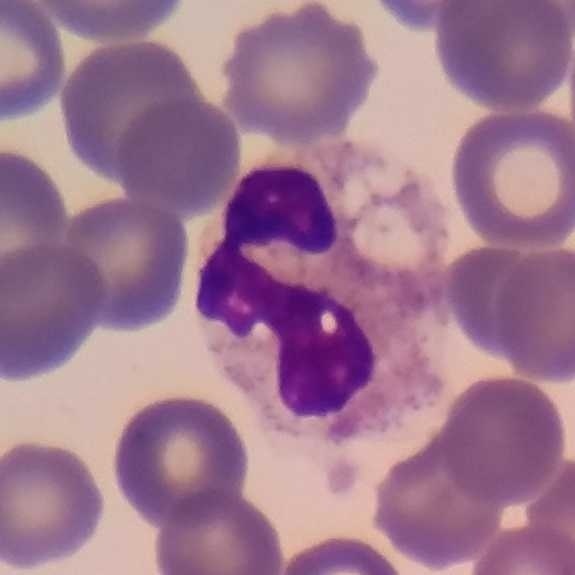Q: Which cell type is shown here?
A: It is a neutrophil granulocyte.